Peripheral blood smear; phone-camera image taken through the microscope ocular: 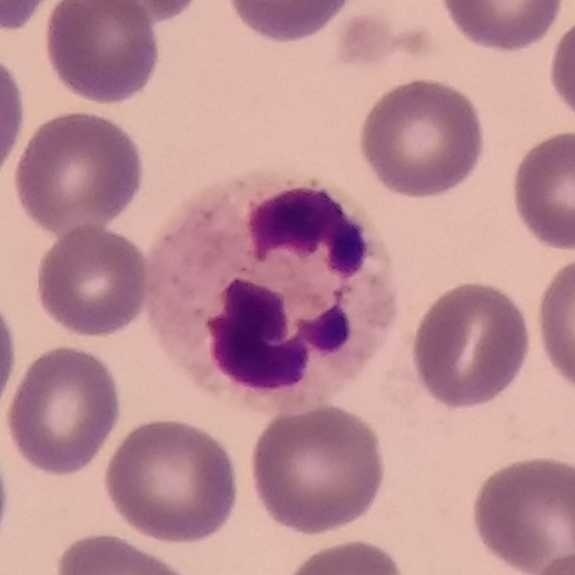

Single cell identified as a neutrophil.